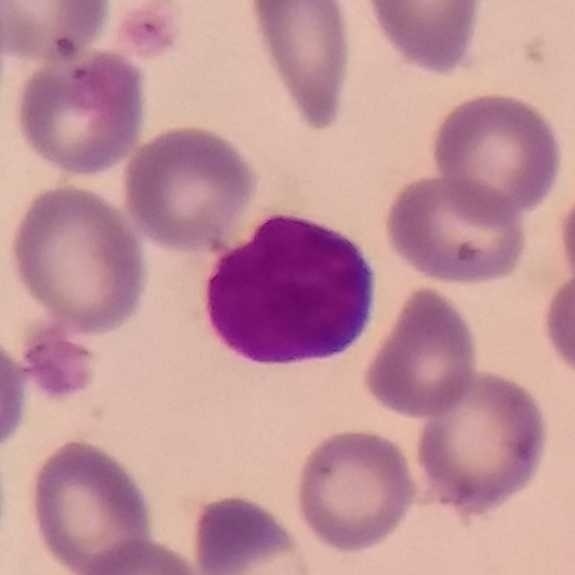This is a lymphocyte. Stained with Giemsa · 575 by 575 pixels · peripheral blood smear.